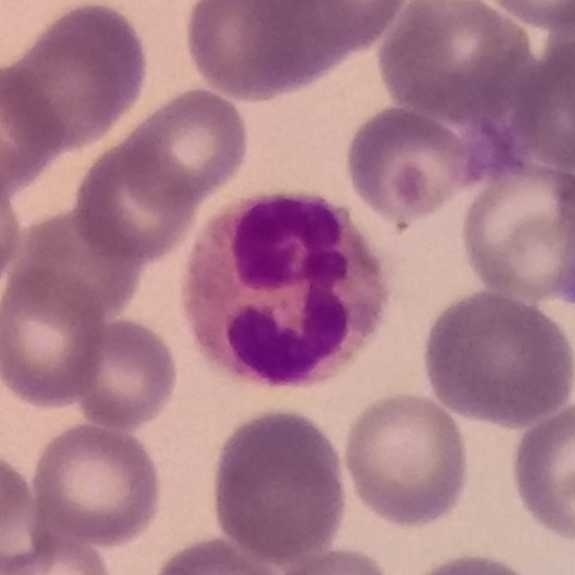
Q: Which cell type is shown here?
A: A neutrophilic granulocyte. Preparation: Peripheral blood film.